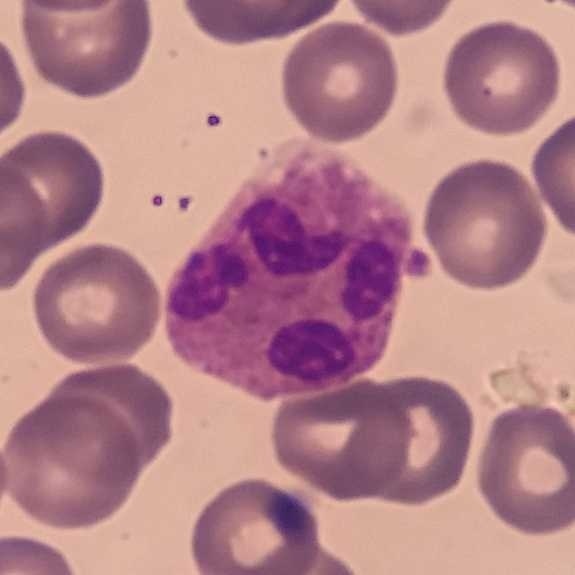

A neutrophil. Context: Peripheral blood film; single-cell crop; phone-camera image taken through the microscope ocular.